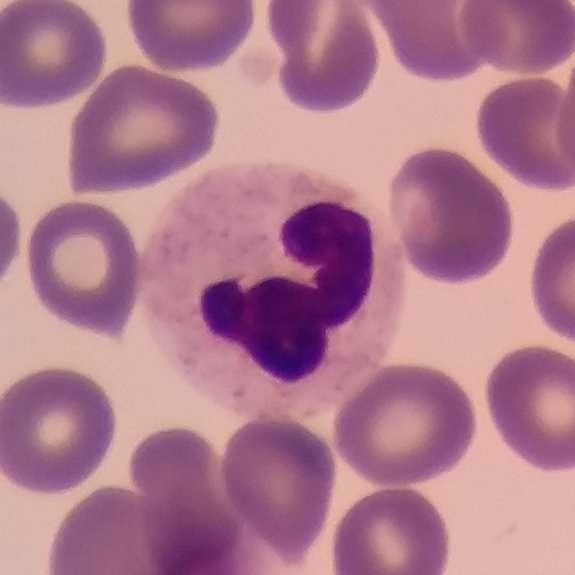
Q: Which type of white blood cell is this?
A: Neutrophil.
Peripheral blood smear.